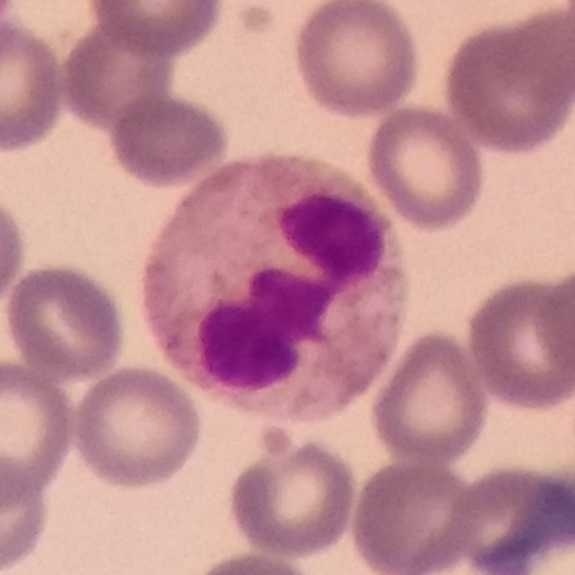 Q: What is this?
A: It is a neutrophilic granulocyte. Peripheral blood film · magnification 100× · single white blood cell cropped from the smear photograph.